Peripheral blood film
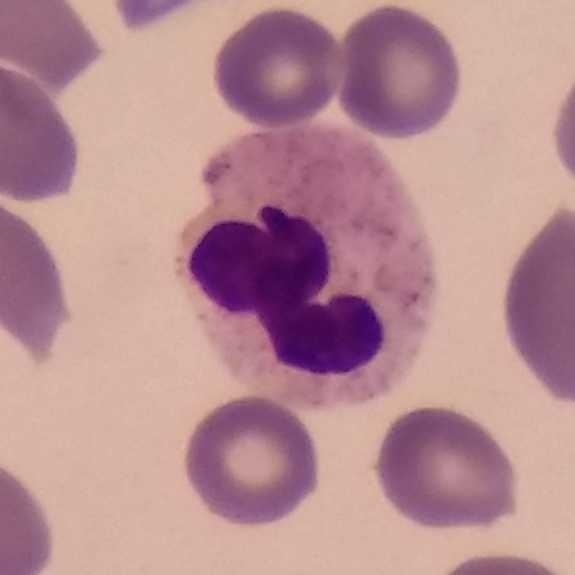
Q: Classify this leukocyte.
A: Neutrophilic granulocyte.